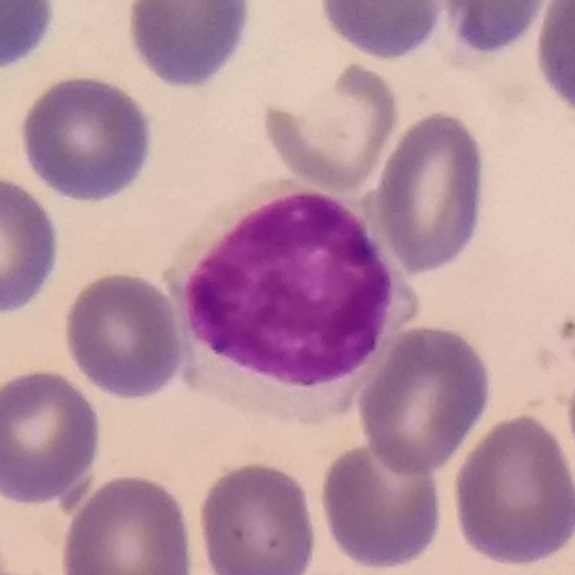 Specimen: peripheral blood film.
Cell type: monocyte.
Lineage: myeloid. Image: Stained with Giemsa · imaged at 100×.